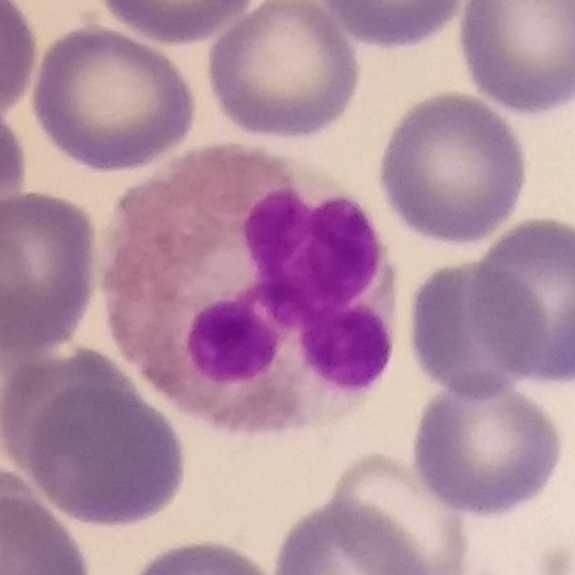
Specimen: peripheral blood smear.
Morphological class: eosinophil.
Lineage: myeloid.